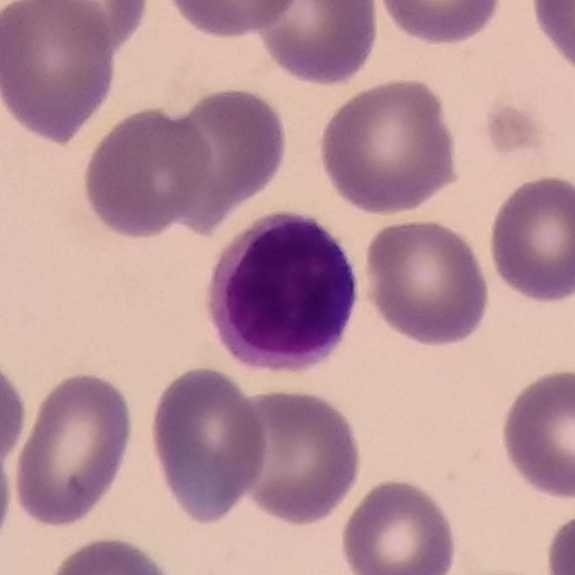 Specimen: peripheral blood film.
Classification: lymphocyte.